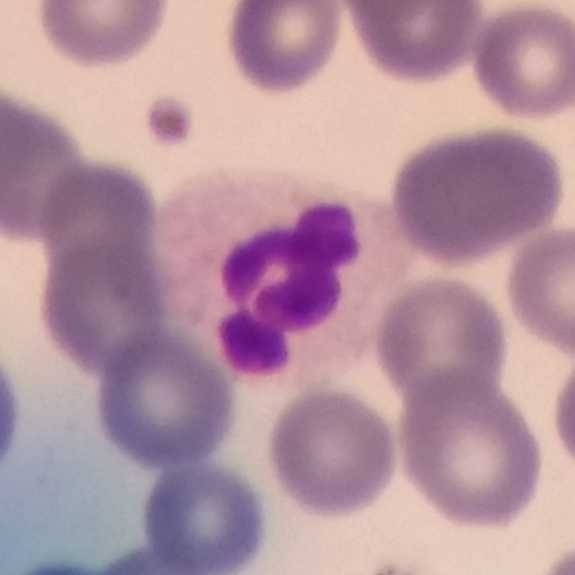

The cell shown is a neutrophilic granulocyte.

Peripheral blood smear. Single-cell field. Smartphone photomicrograph.